Peripheral blood film. 100× magnification.
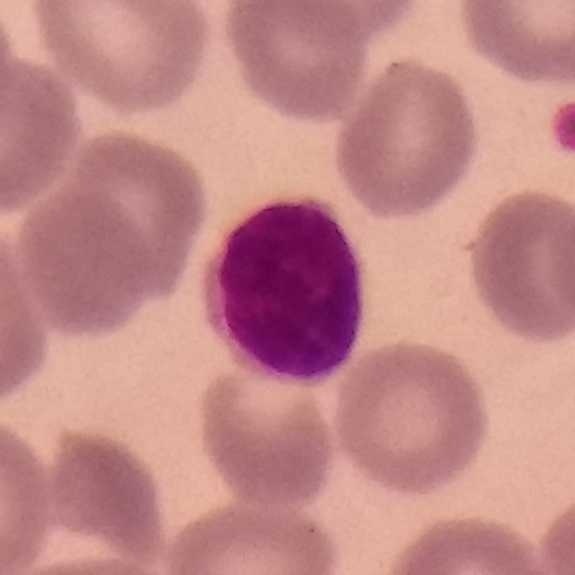

Morphology consistent with a lymphocyte.